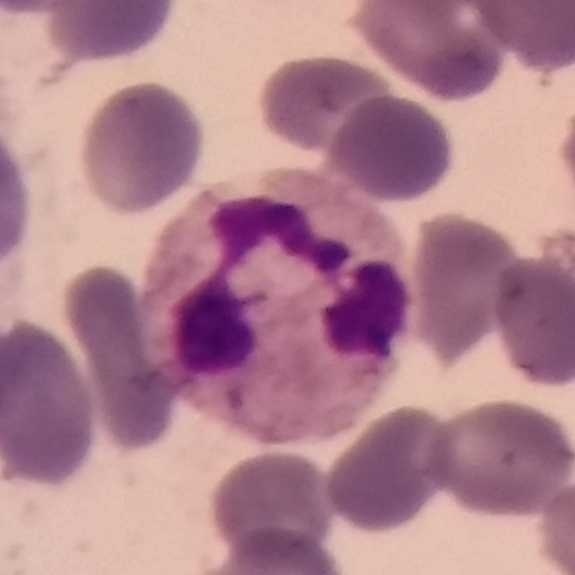 Specimen: peripheral blood film.
Classification: neutrophil granulocyte.